Peripheral blood smear:
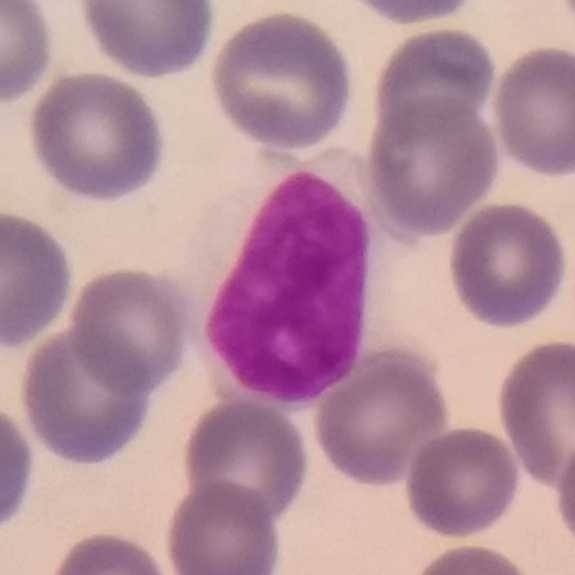 Single cell identified as a lymphocyte.